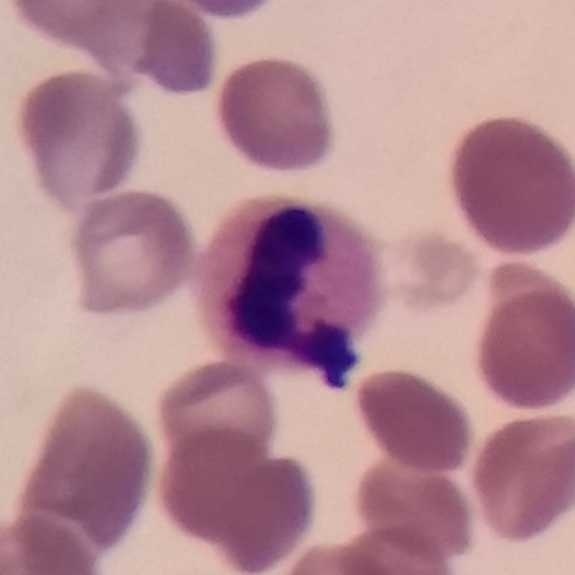Identified as a neutrophilic granulocyte. Preparation: Peripheral blood film.